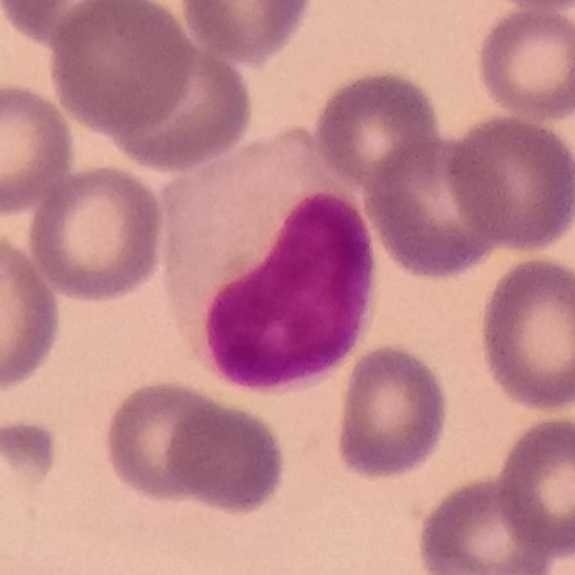

Q: What is the morphological classification of this cell?
A: This is a lymphocyte.